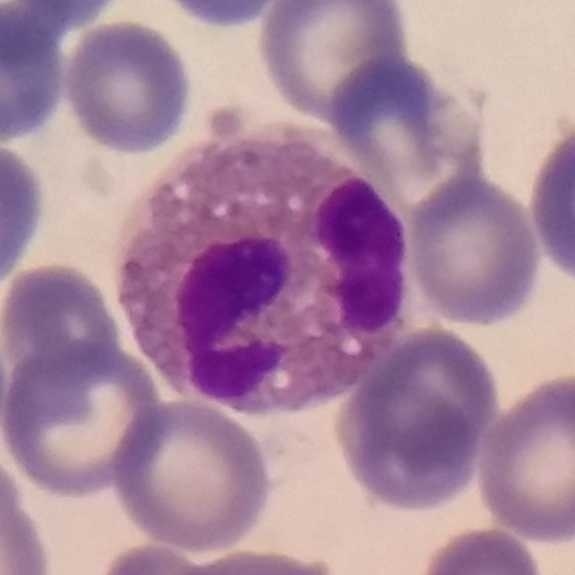 Impression — eosinophilic granulocyte.